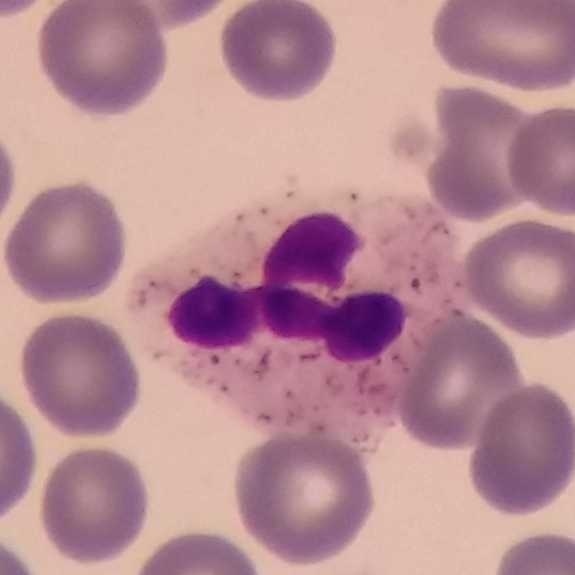Q: What is this?
A: This is a neutrophilic granulocyte.
Peripheral blood smear; Giemsa-stained.